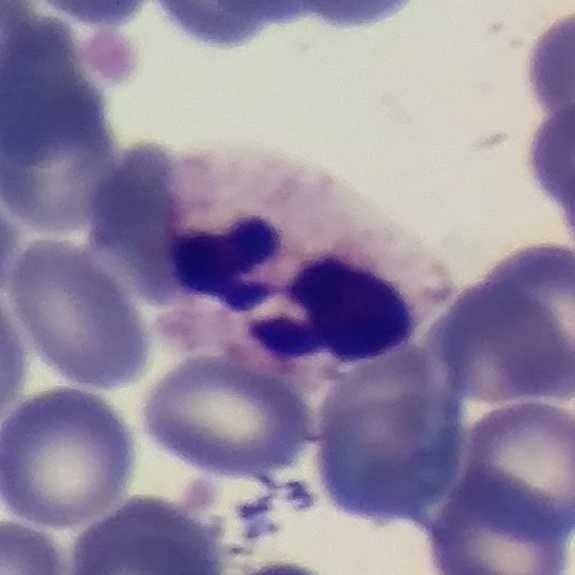
Specimen: peripheral blood film.
Morphological class: neutrophilic granulocyte.
Lineage: myeloid.